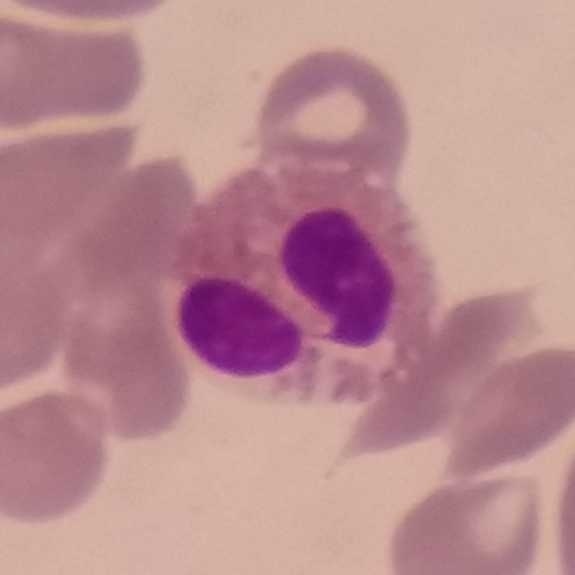Q: Which cell type is shown here?
A: Eosinophilic granulocyte.